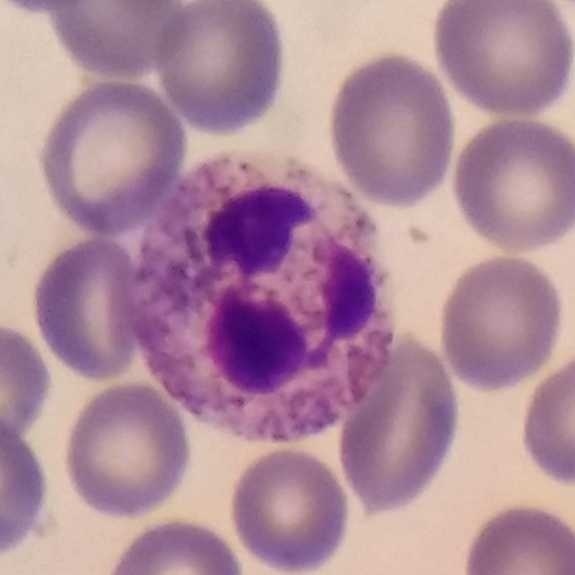Morphology → neutrophil granulocyte.
Preparation: Image size 575×575. Peripheral blood film.